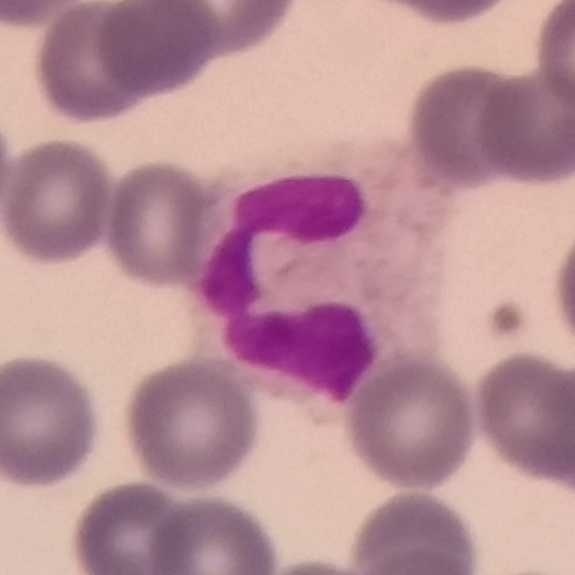 Classification = neutrophil granulocyte.
Peripheral blood film · single-cell field.